Image size 575×575. Peripheral blood film
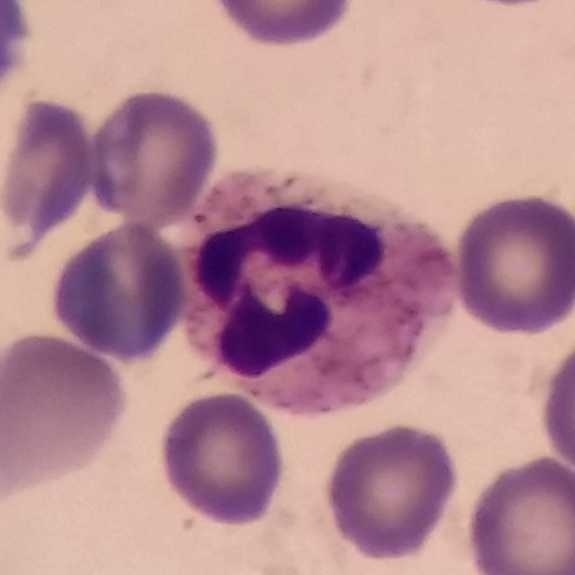Q: What is shown here?
A: Neutrophilic granulocyte.